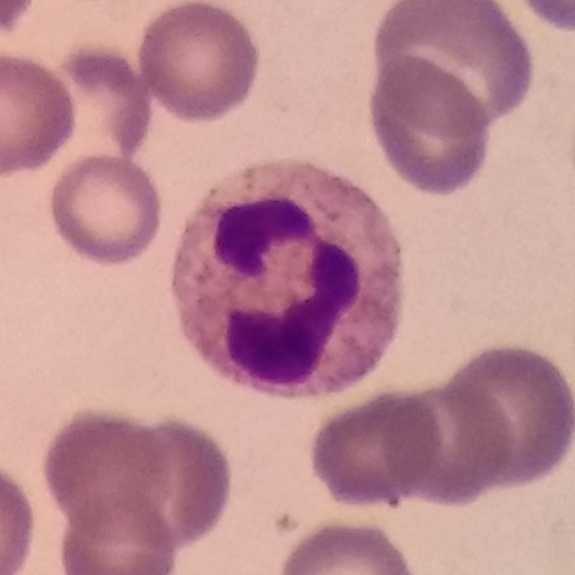Peripheral blood smear.
Morphology → neutrophilic granulocyte.